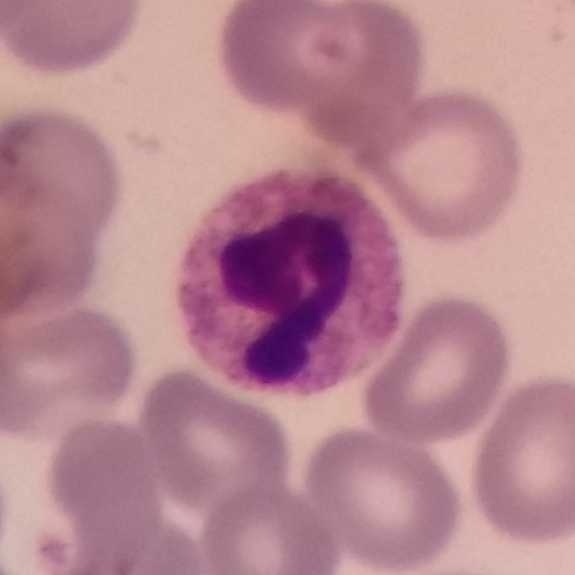
Morphological class: neutrophil.

Acquisition: Single-cell crop. Peripheral blood smear.